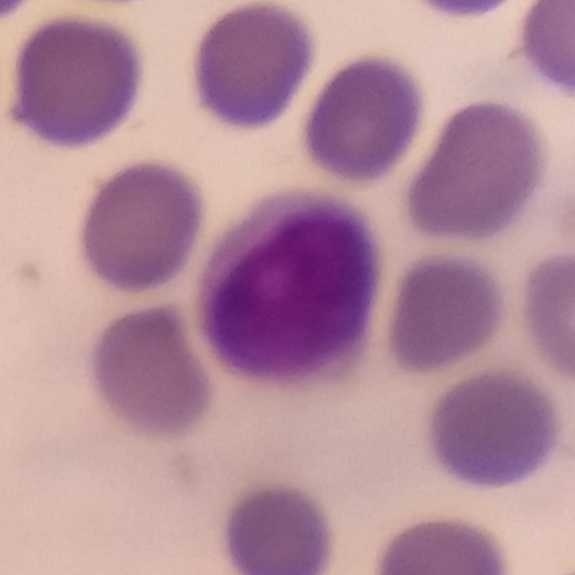Q: Which cell type is shown here?
A: Lymphocyte.
Acquisition: Peripheral blood film; photographed through a light microscope with a smartphone camera.